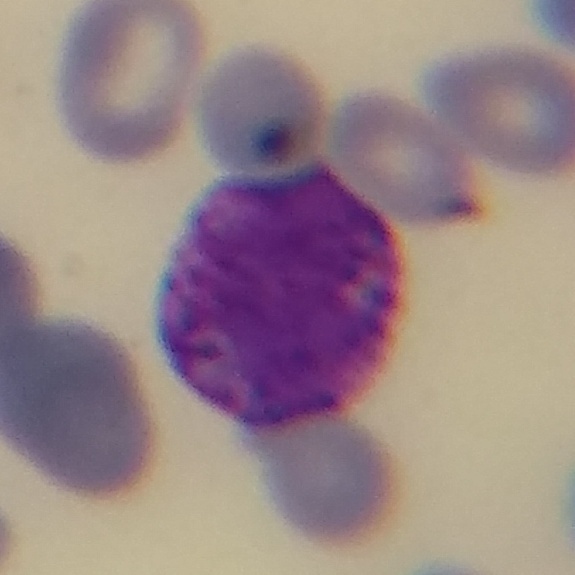 Image: Peripheral blood film. 575 by 575 pixels. Cropped to one leukocyte.
Showing a basophil.